Peripheral blood film.
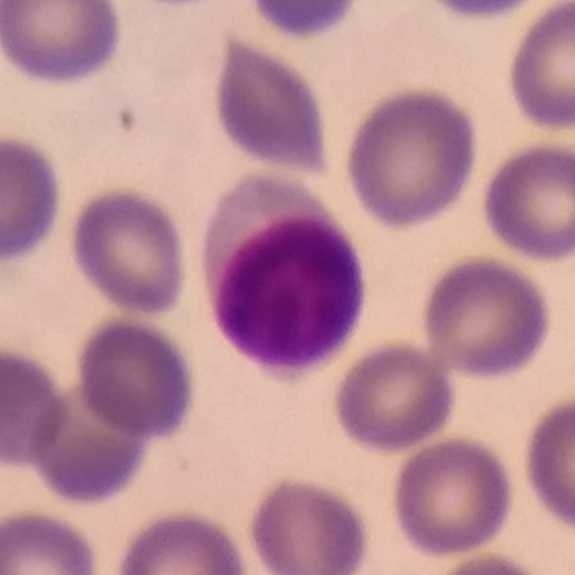Specimen: peripheral blood smear.
Cell type: lymphocyte.
Lineage: lymphoid.